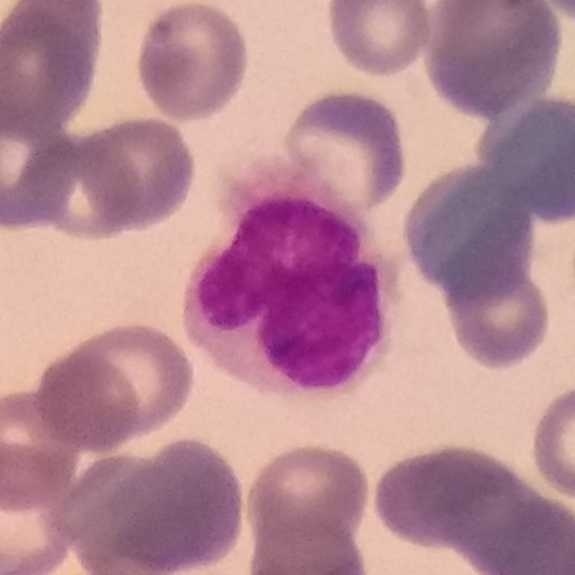 {"cell_type": "monocyte"}